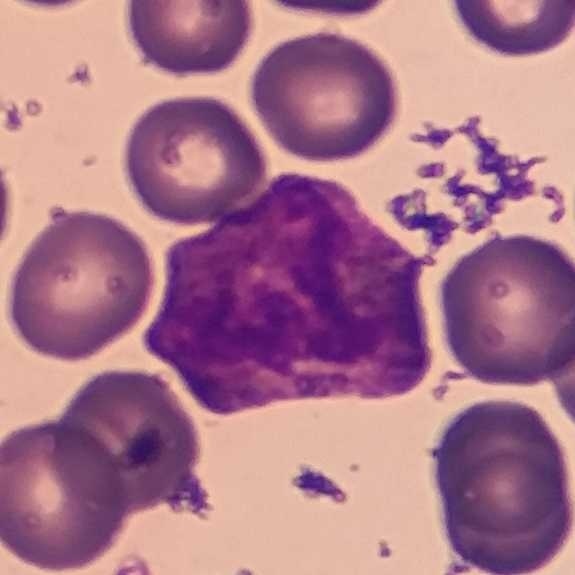Context: Cropped to one leukocyte. Peripheral blood film.

The cell shown is a neutrophil granulocyte.